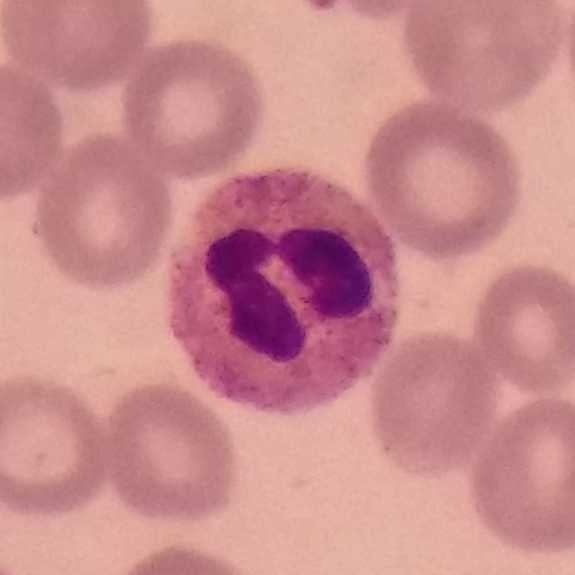
Cell — neutrophilic granulocyte.

Magnification 100×; peripheral blood film.